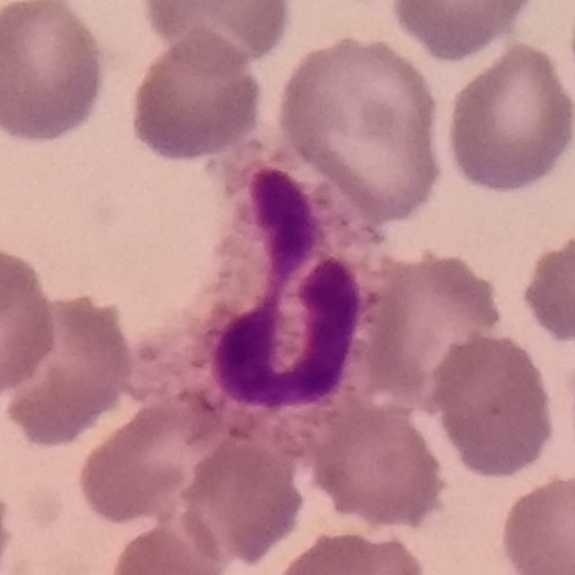 Cell — neutrophil granulocyte.